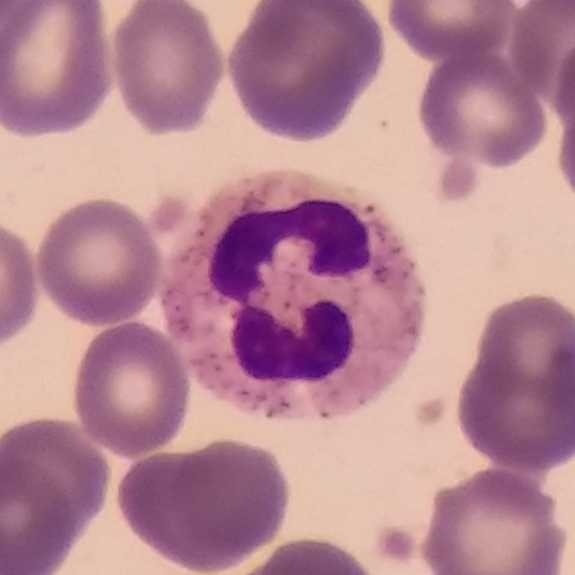Morphology consistent with a neutrophil granulocyte.

Preparation: Peripheral blood film; single-cell crop.